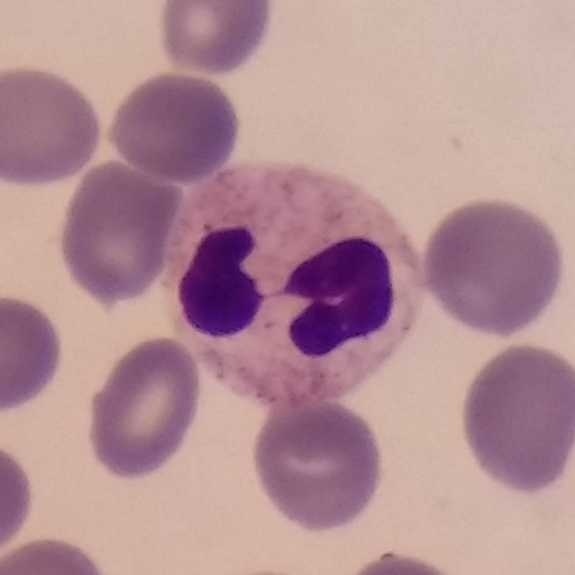 Peripheral blood film. Showing a neutrophil.